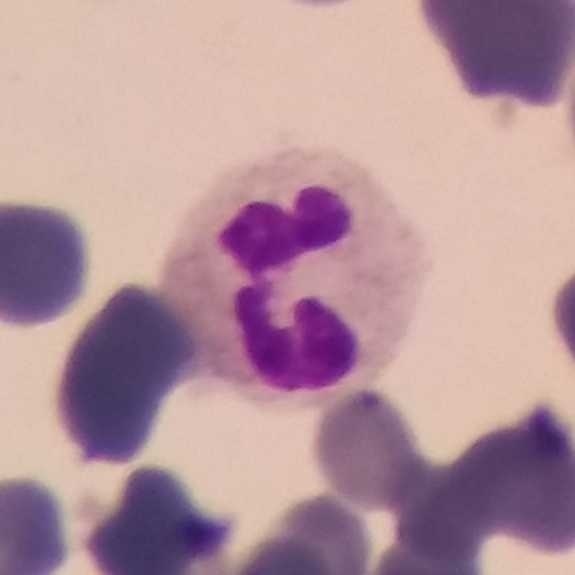 The white blood cell type is neutrophilic granulocyte.
Peripheral blood film; 575×575 px.